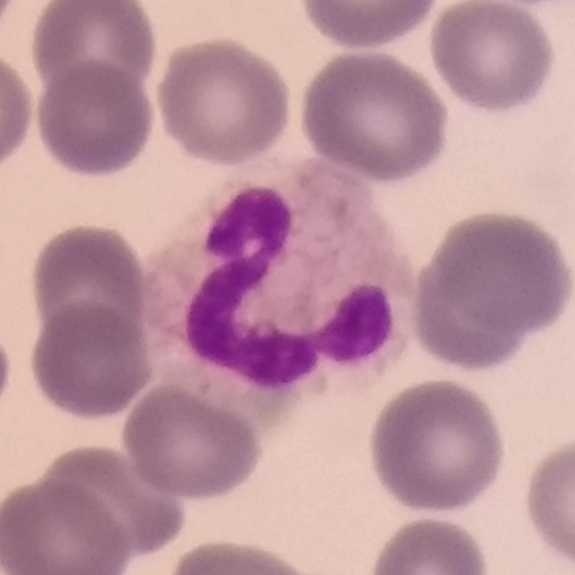

Single cell identified as a neutrophilic granulocyte.
Preparation: Peripheral blood film · stained with Giemsa.